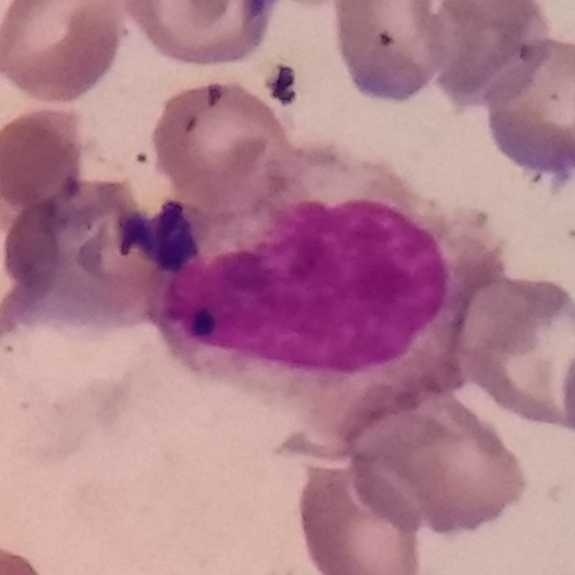
A monocyte on a peripheral blood smear.